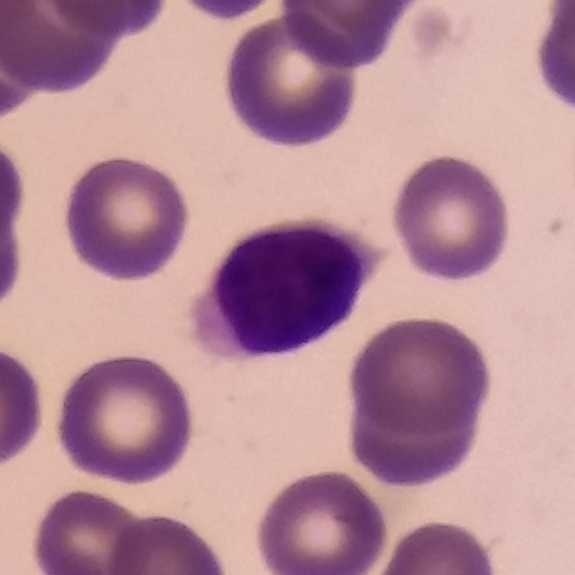

575 by 575 pixels. Cropped to one leukocyte. Peripheral blood smear.
Q: Which type of white blood cell is this?
A: A lymphocyte.